Peripheral blood film: 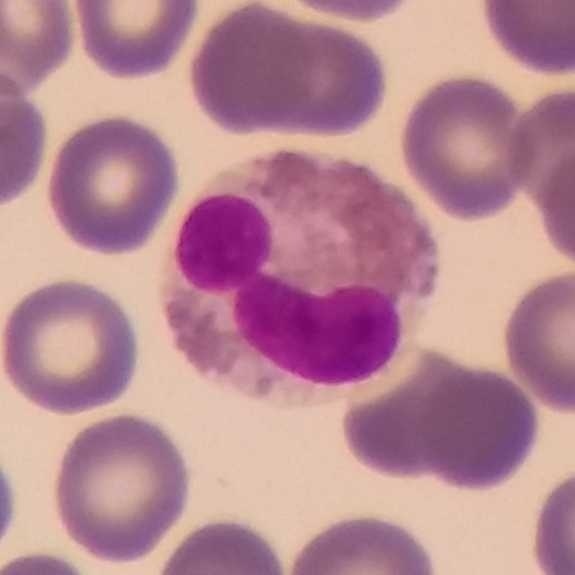

White blood cell type = eosinophilic granulocyte.